Peripheral blood smear. Phone-camera image taken through the microscope ocular — 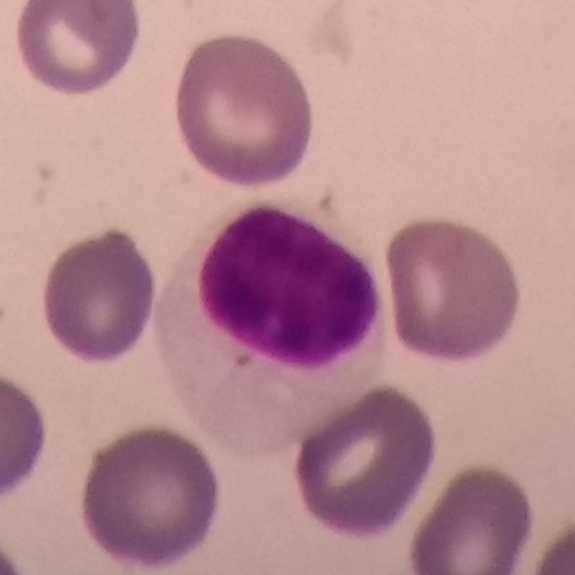
Q: What is shown here?
A: A lymphocyte.